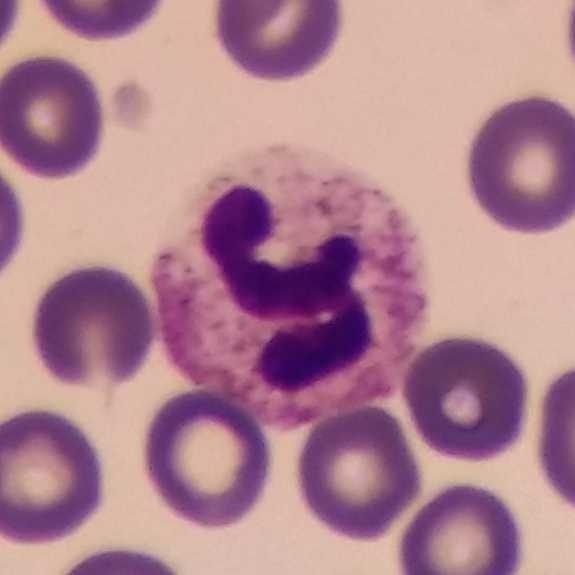Cell — neutrophilic granulocyte.

Peripheral blood smear · stained with Giemsa.